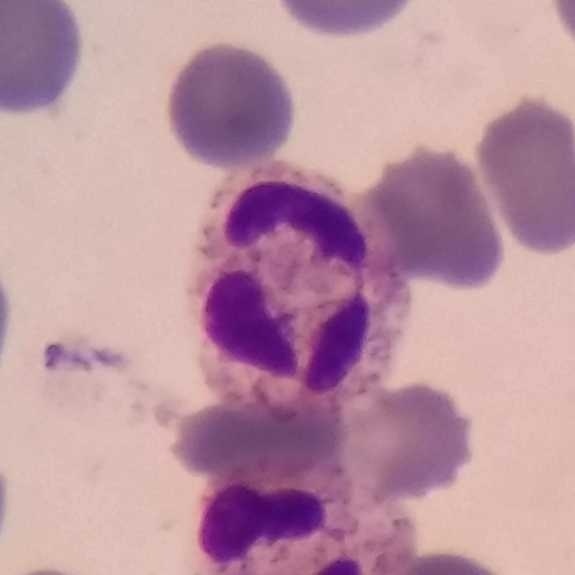

Preparation: Giemsa-stained. Cropped to one leukocyte. Specimen: peripheral blood film.
White blood cell type: neutrophil granulocyte.